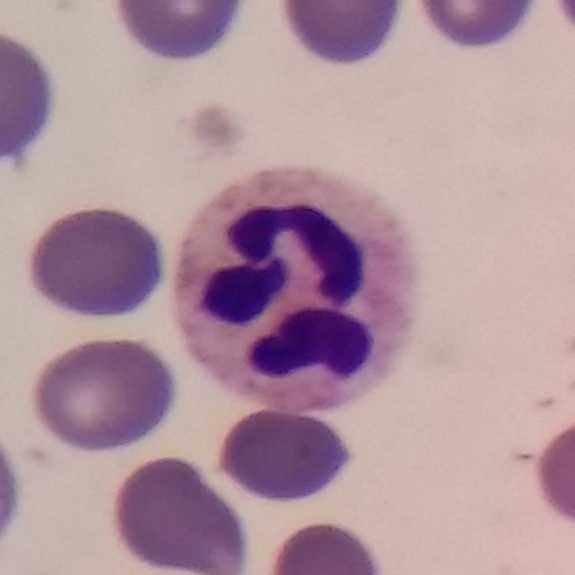Peripheral blood film.

The cell shown is a neutrophil granulocyte.